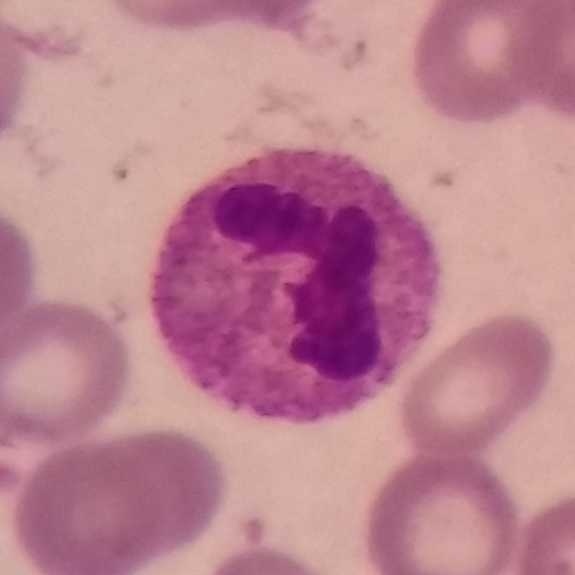

Impression — neutrophilic granulocyte.